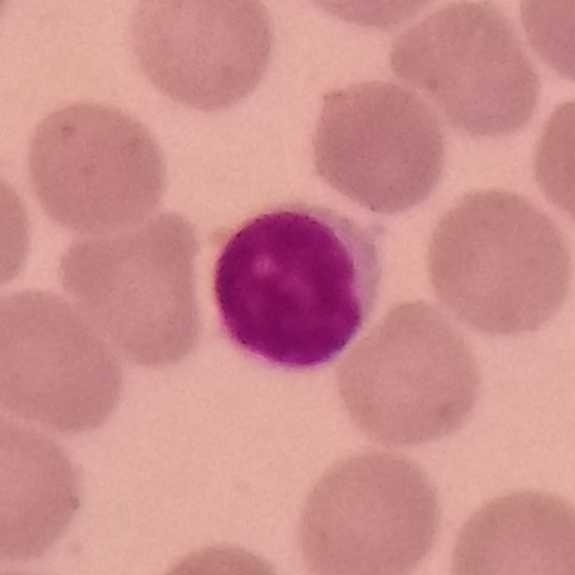

Q: What is shown here?
A: It is a lymphocyte.
Image: Peripheral blood film; Giemsa stain.